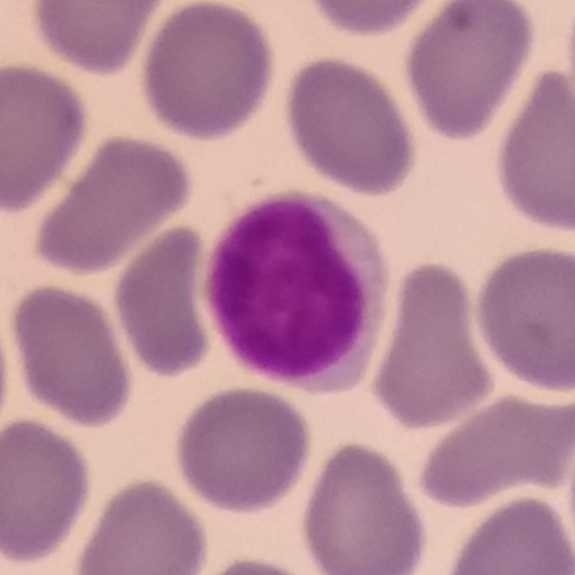

Context: Smartphone camera mounted on the microscope eyepiece · peripheral blood film.

The cell shown is a lymphocyte.